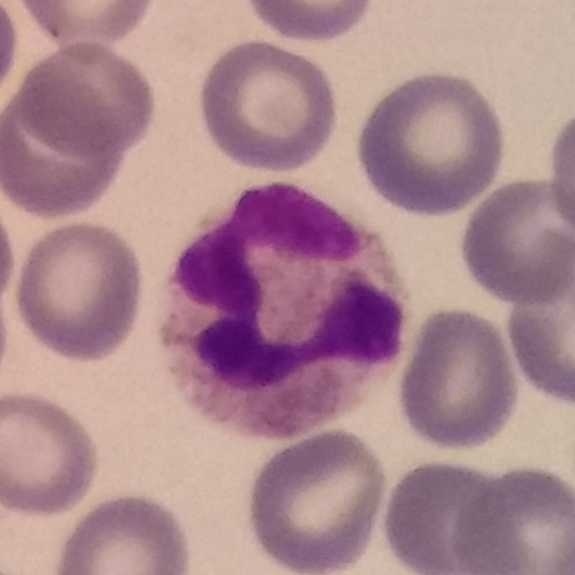

Morphology → neutrophil granulocyte.

Peripheral blood film; 100× magnification.